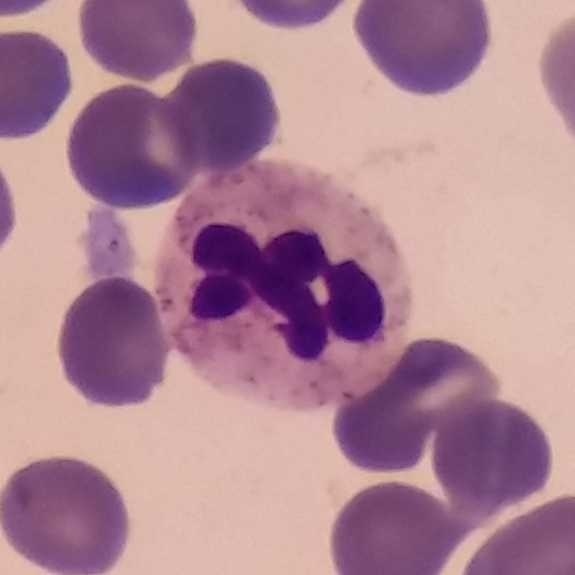
A neutrophilic granulocyte on a peripheral blood smear.